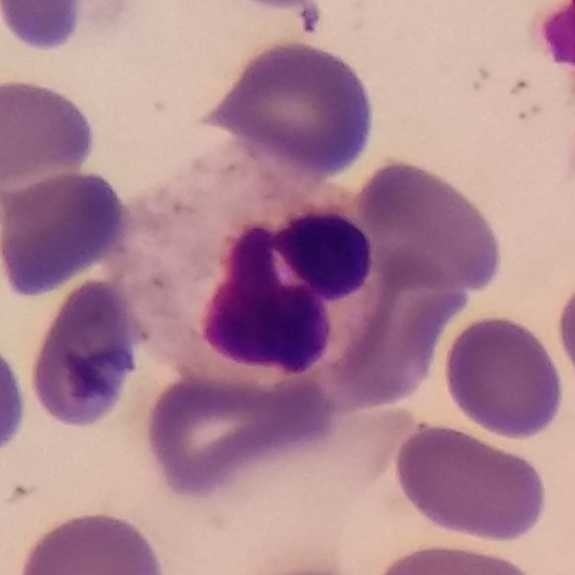

The white blood cell type is neutrophil.
Image: Peripheral blood smear · 575 by 575 pixels.